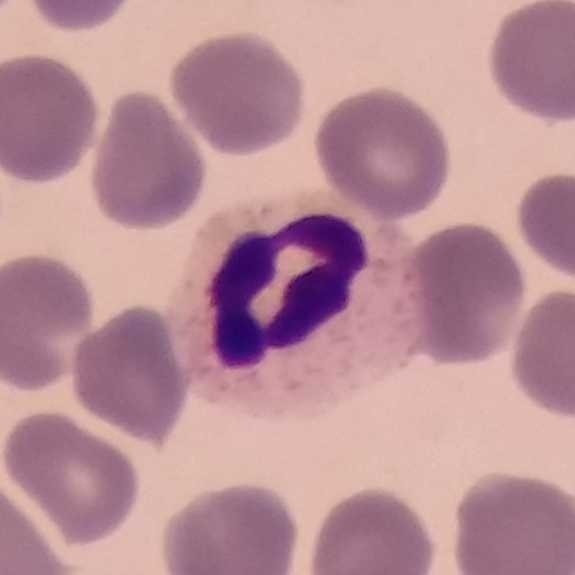
Morphological class: neutrophil. Acquisition: Peripheral blood film.